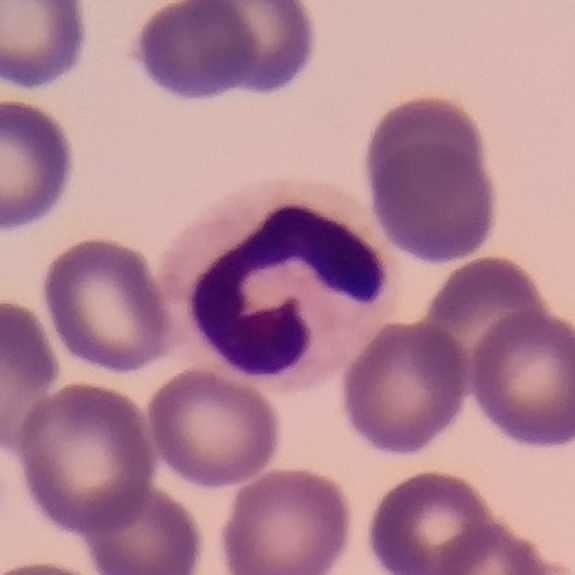

Identified as a neutrophil granulocyte.